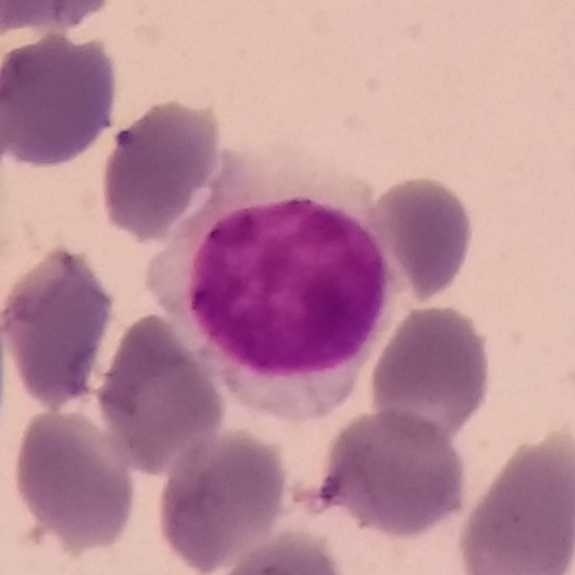

Peripheral blood film, single cell — lymphocyte.